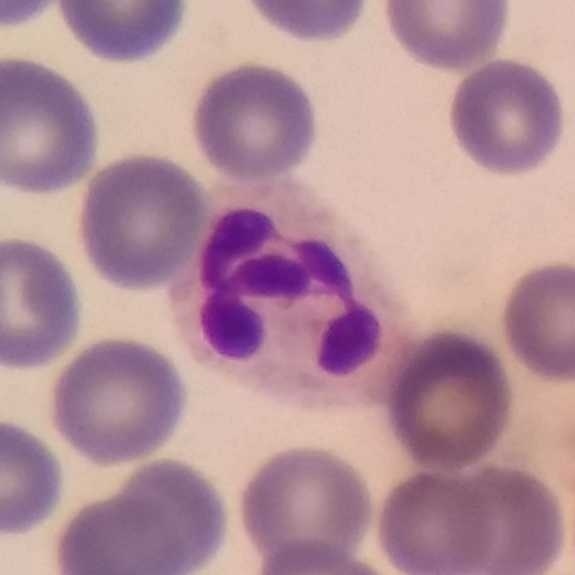
Context: Peripheral blood smear.

The cell shown is a neutrophil granulocyte.